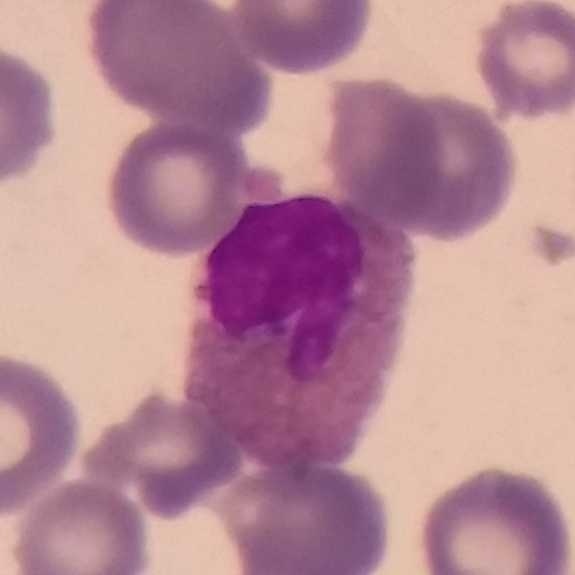

Specimen: peripheral blood smear.
Cell: eosinophil.